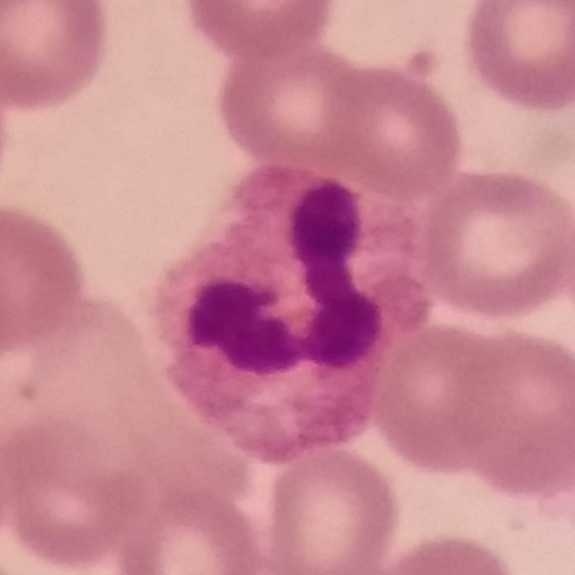 Image: Peripheral blood film; Giemsa stain.

Morphology consistent with a neutrophilic granulocyte.